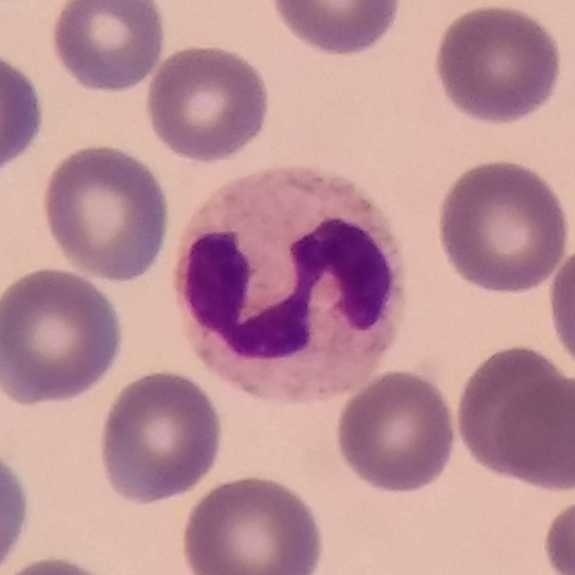
Morphological class: neutrophilic granulocyte.
Peripheral blood film.